Peripheral blood film. Image size 575×575: 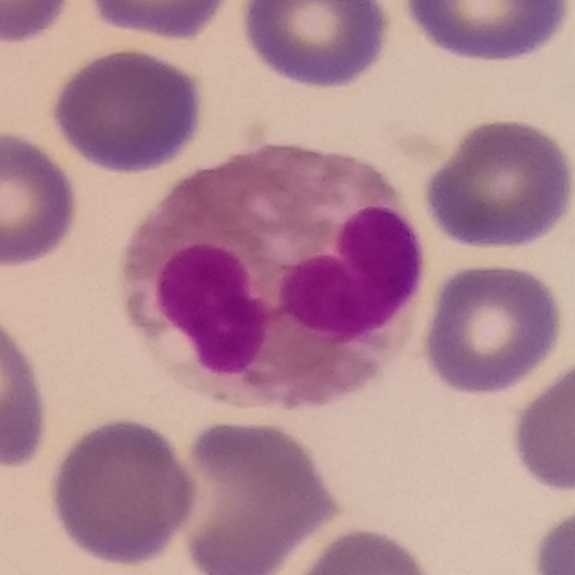
Q: What is shown here?
A: Eosinophil.